Peripheral blood film. Stained with Giemsa: 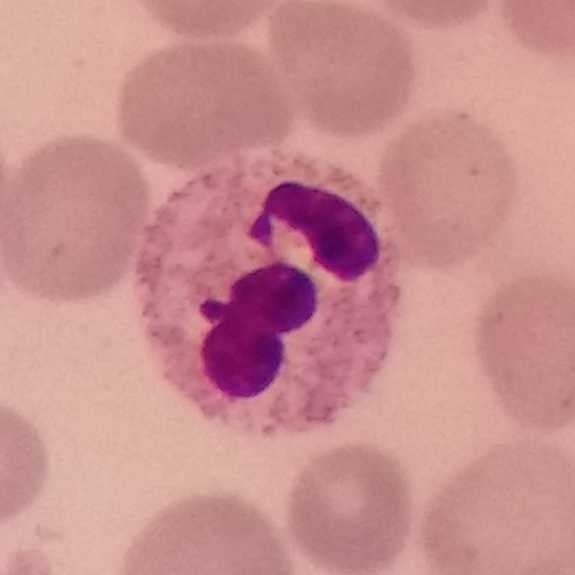Specimen: peripheral blood film.
Cell: neutrophil granulocyte.
Lineage: myeloid.